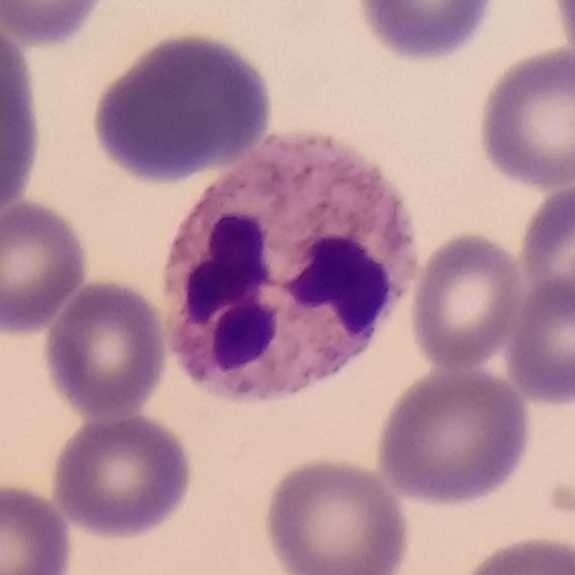Morphological class: neutrophil.
Image: Peripheral blood film.